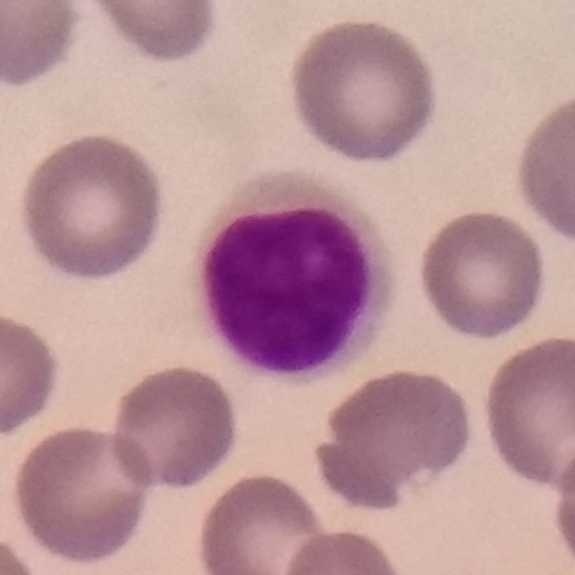 Preparation: Peripheral blood smear · single-cell crop. Morphology consistent with a lymphocyte.